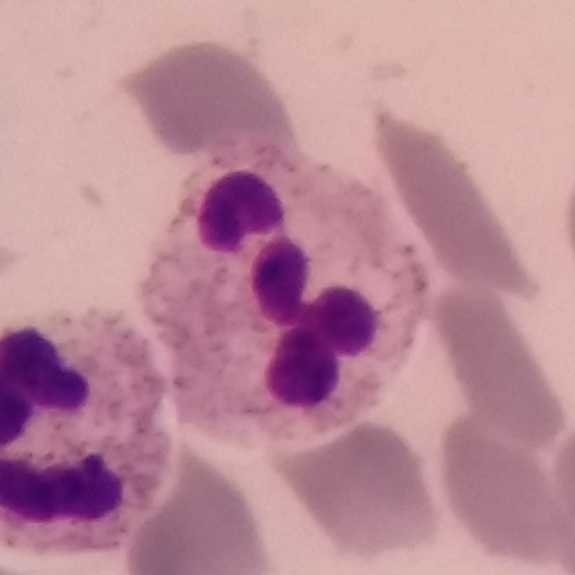Cell type — neutrophil granulocyte.